Peripheral blood film; 100× magnification; single white blood cell cropped from the smear photograph
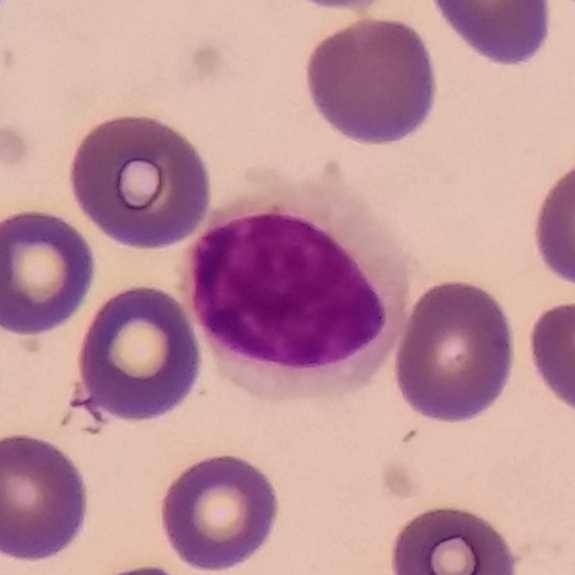Identified as a lymphocyte.